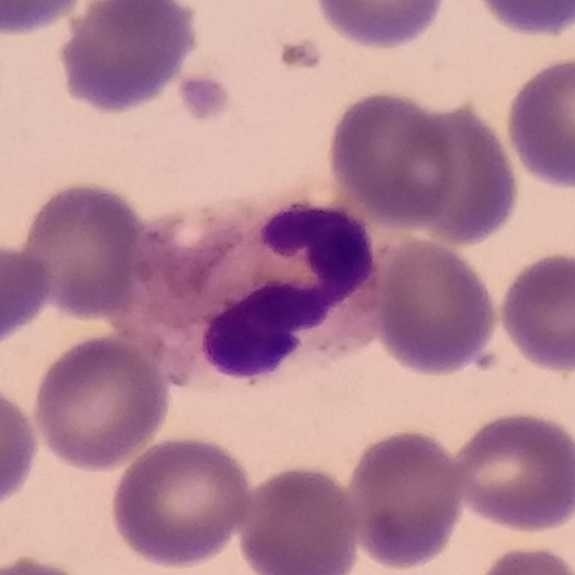{"cell_type": "neutrophil", "lineage": "myeloid"} Context: 575×575; peripheral blood smear; photographed through a light microscope with a smartphone camera.